Magnification 100×; peripheral blood smear; smartphone camera mounted on the microscope eyepiece.
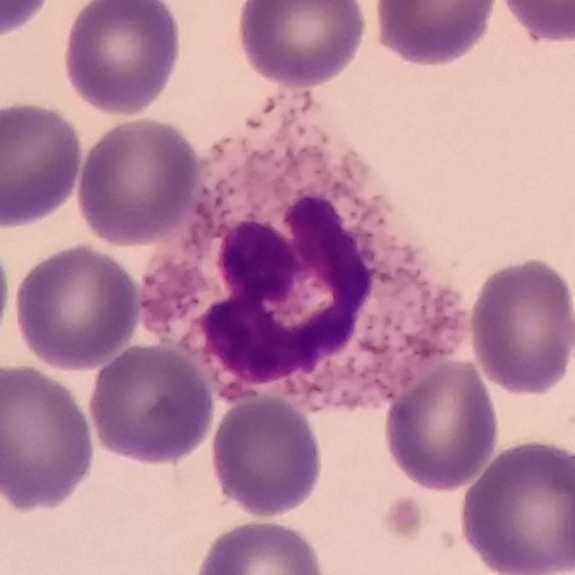 Q: Which type of white blood cell is this?
A: It is a neutrophil.